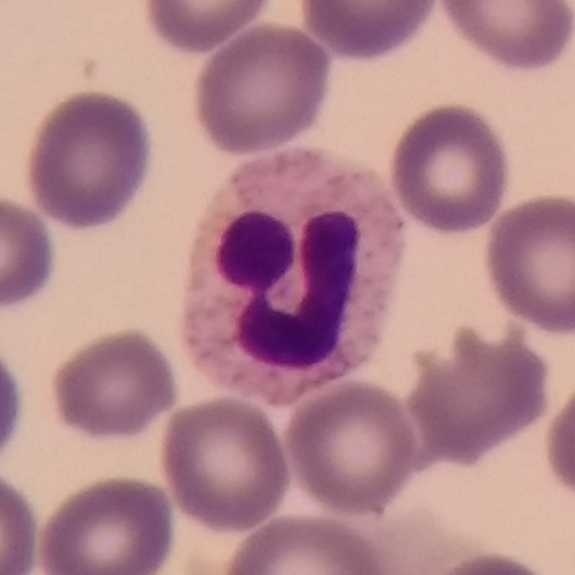 Specimen: peripheral blood film.
Cell type: neutrophilic granulocyte.